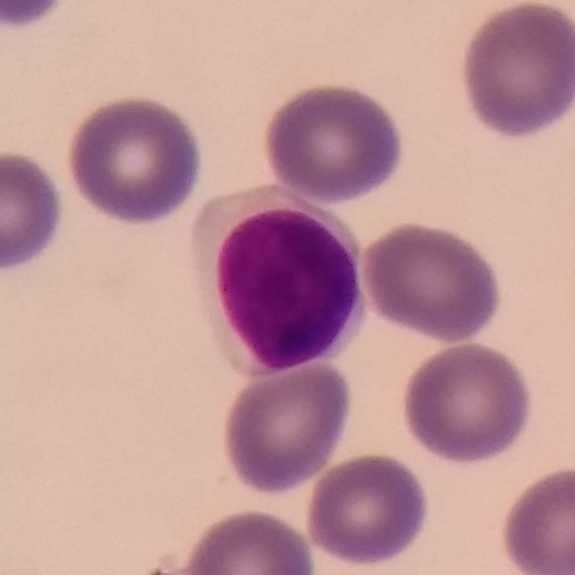

Morphological class — lymphocyte.